575×575 px. Peripheral blood film:
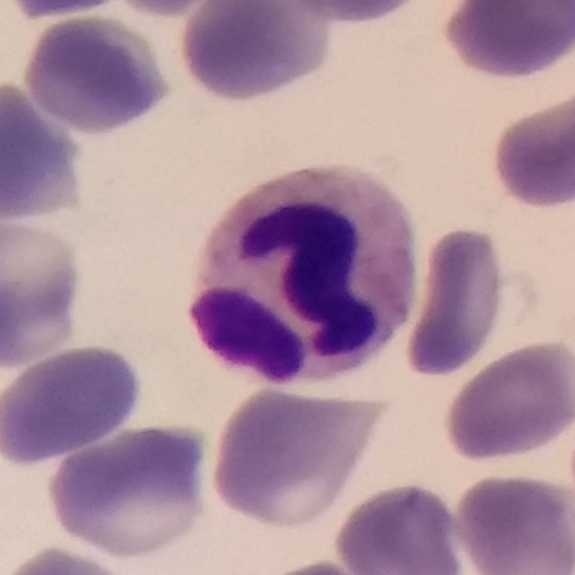

Neutrophil granulocyte.